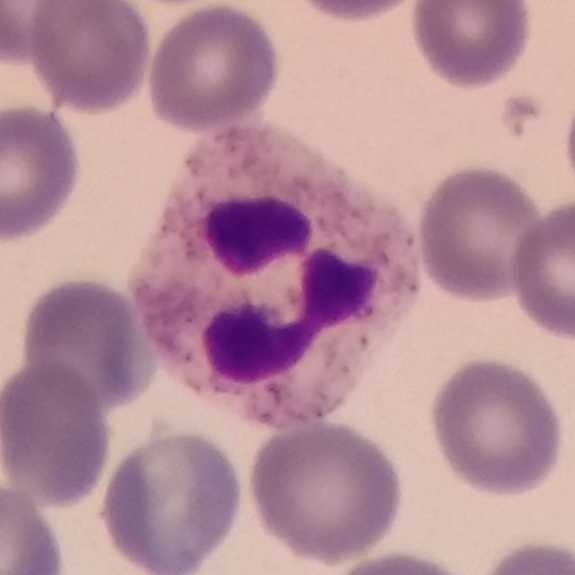

Image: Peripheral blood film; single-cell crop. The cell shown is a neutrophil.